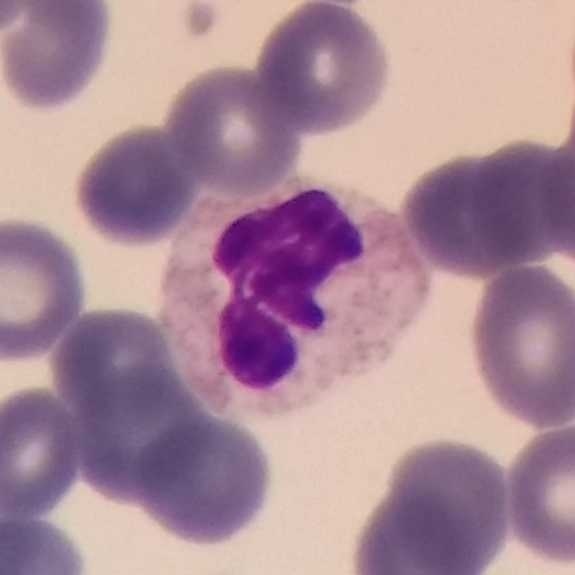

Single cell identified as a neutrophil granulocyte.

Peripheral blood smear.